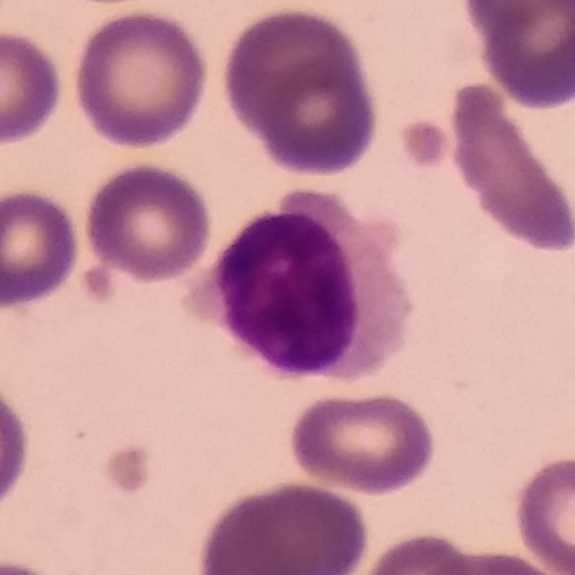 Morphology → lymphocyte.
Preparation: Stained with Giemsa · peripheral blood smear · 100× magnification.